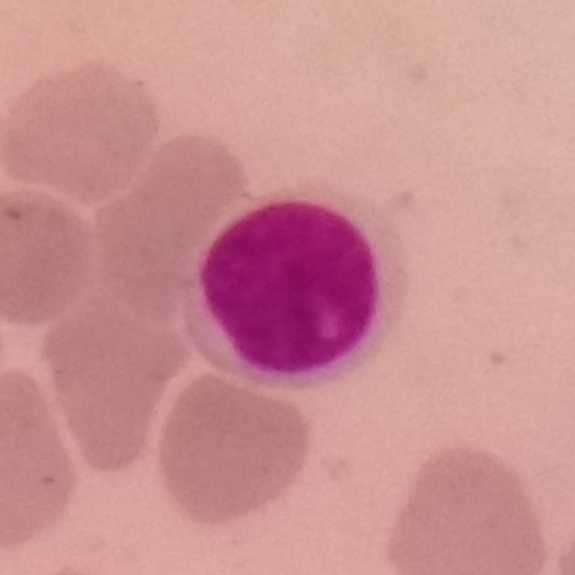
A lymphocyte.